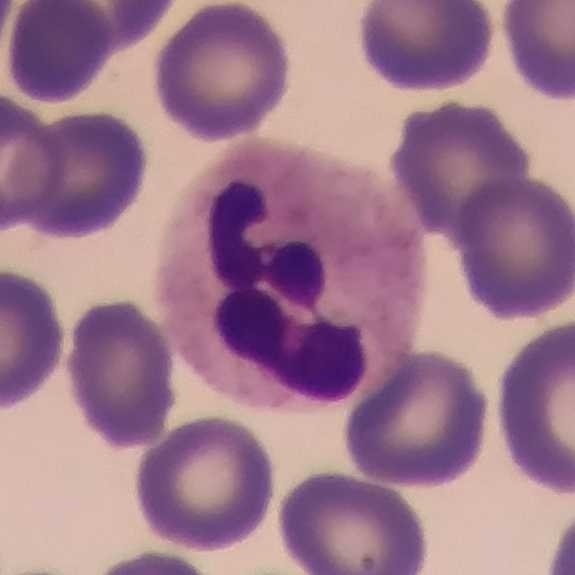 Acquisition: Peripheral blood smear · imaged at 100×.
Q: What cell is this?
A: Neutrophil.